Giemsa stain · peripheral blood film — 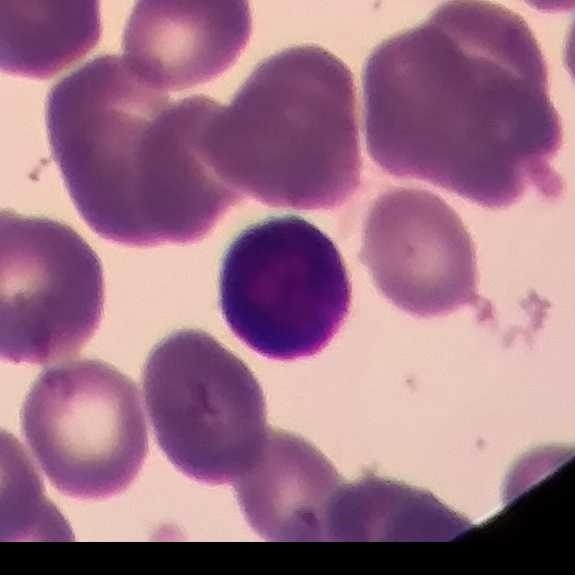Q: What type of cell is this?
A: Lymphocyte.